Peripheral blood film:
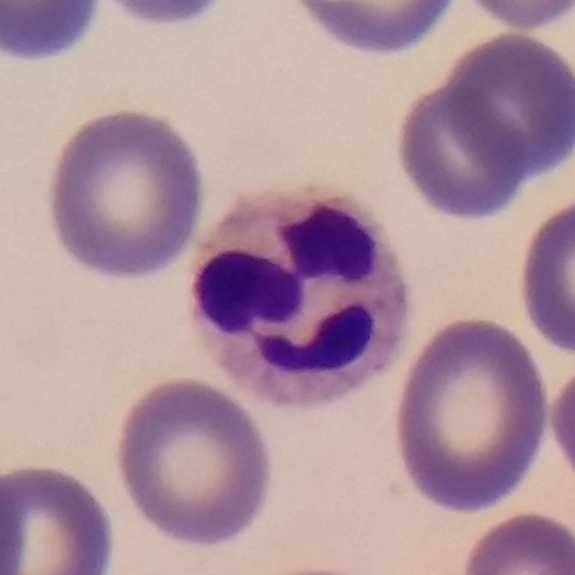
Q: Classify this leukocyte.
A: A neutrophil.